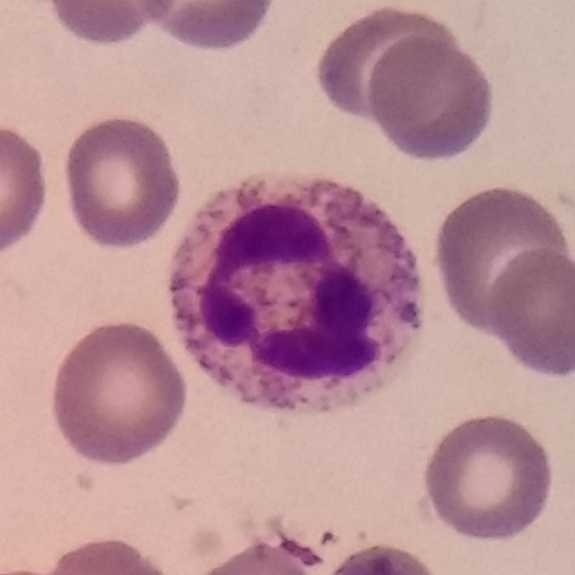 Image: Peripheral blood film.

The white blood cell in this image is a neutrophil granulocyte.